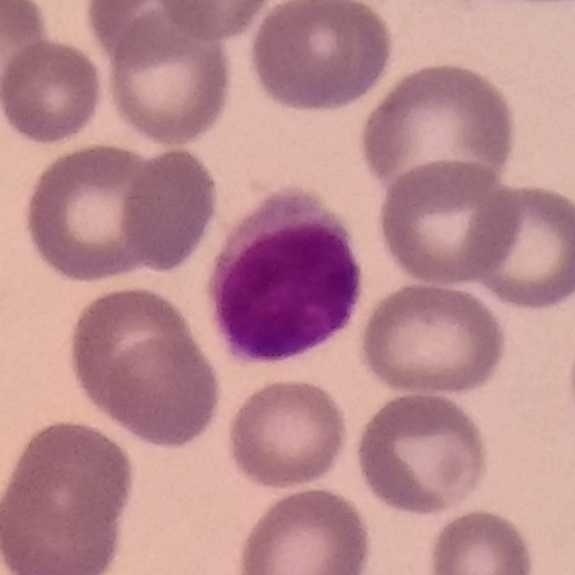
Preparation: Peripheral blood smear.
Morphology — lymphocyte.